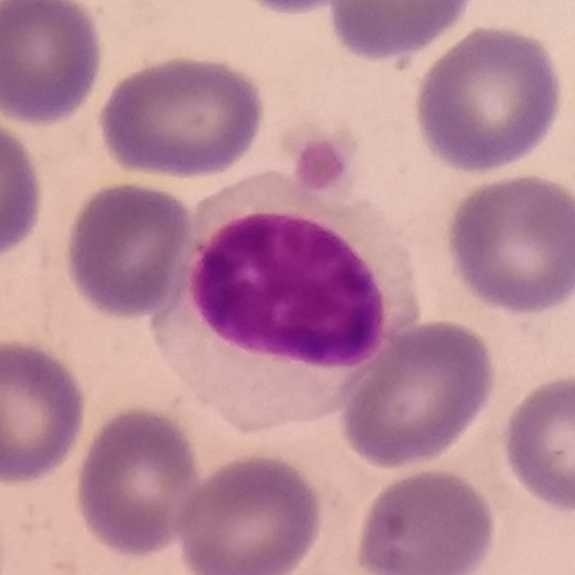 The cell is lymphocyte.